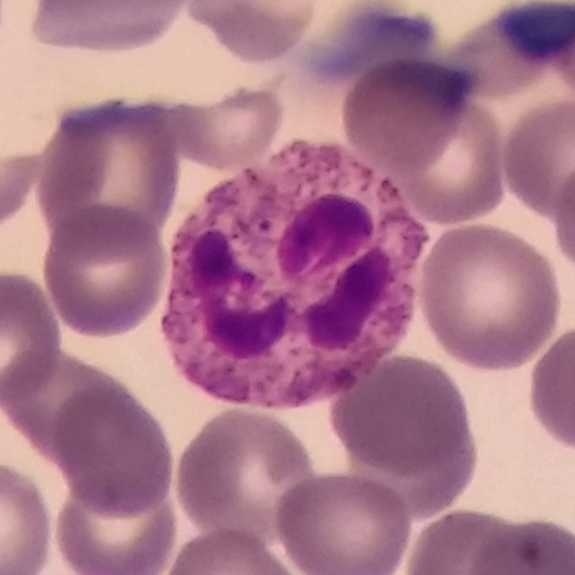575×575 px. Peripheral blood smear. Smartphone camera mounted on the microscope eyepiece. Identified as a neutrophil granulocyte.